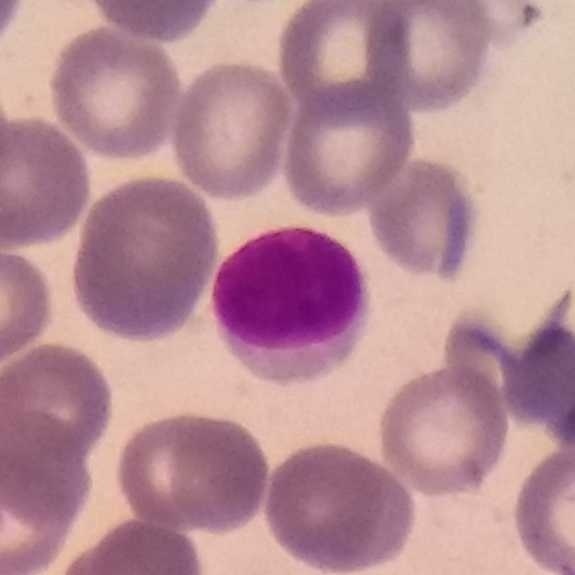

Preparation: Peripheral blood smear.
Morphology consistent with a lymphocyte.